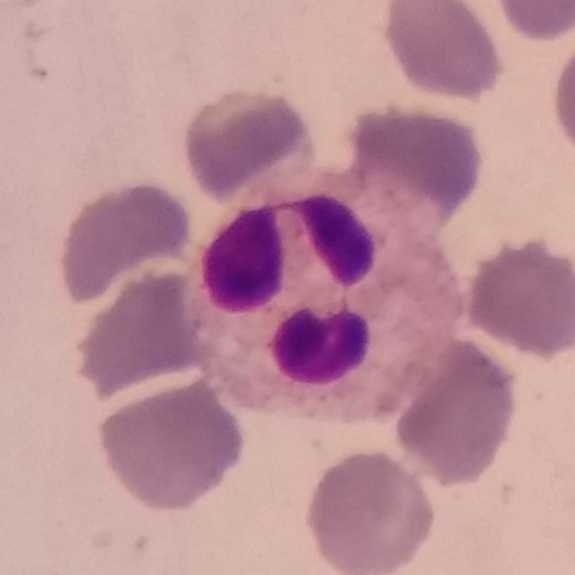

Specimen: peripheral blood smear.
Morphological class: neutrophilic granulocyte.